Peripheral blood smear
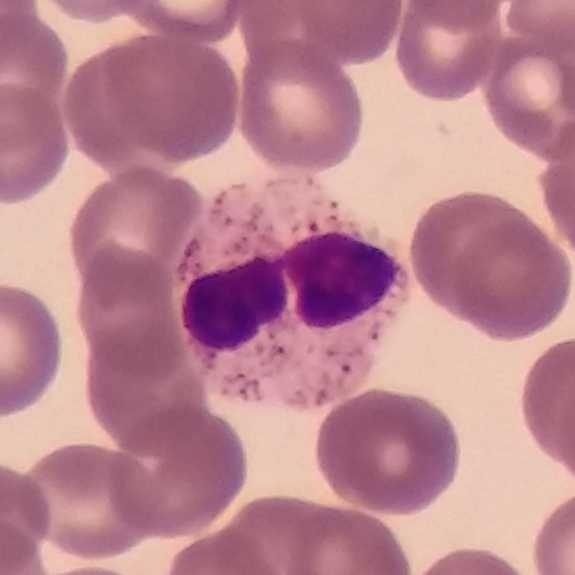The cell shown is a neutrophilic granulocyte.